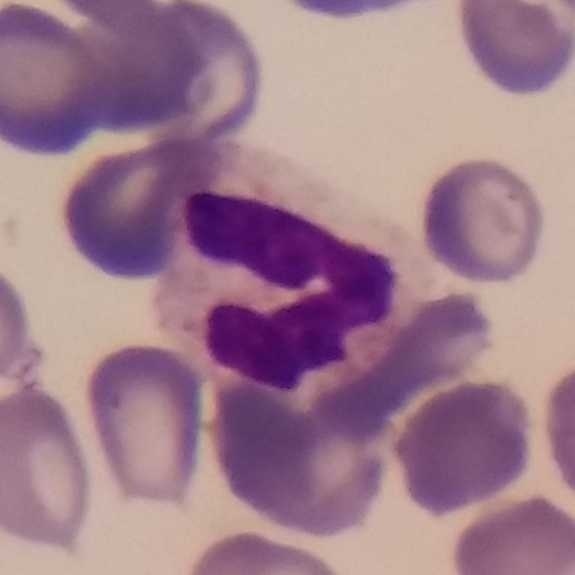 Peripheral blood smear.

Cell type: neutrophil granulocyte.